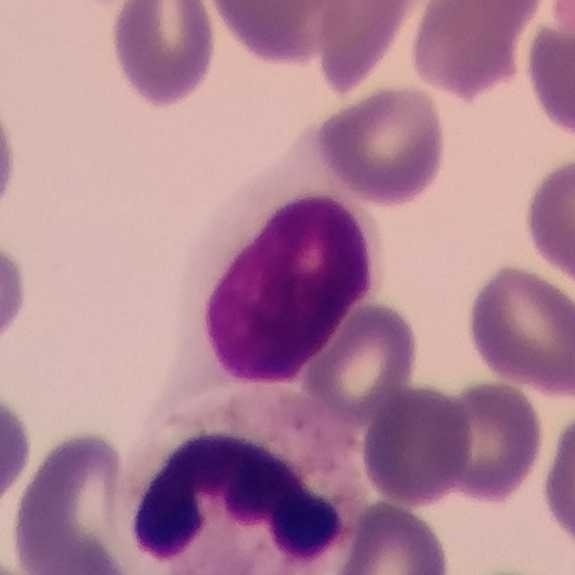Classification: lymphocyte.
Preparation: Peripheral blood film.